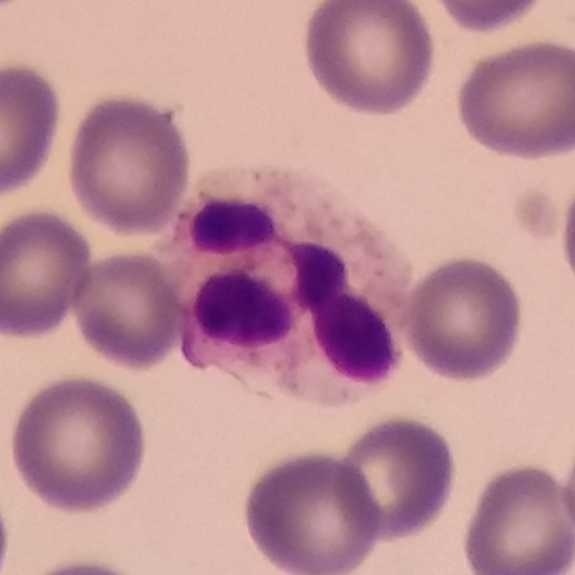A neutrophilic granulocyte.
Image: Peripheral blood smear.